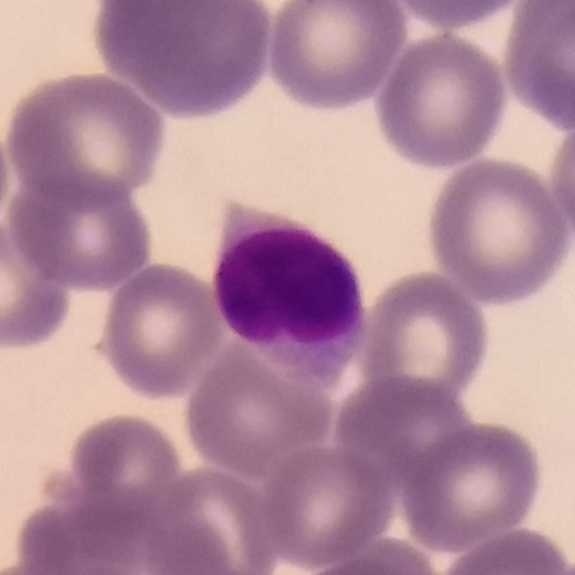

Impression — lymphocyte. Peripheral blood film.